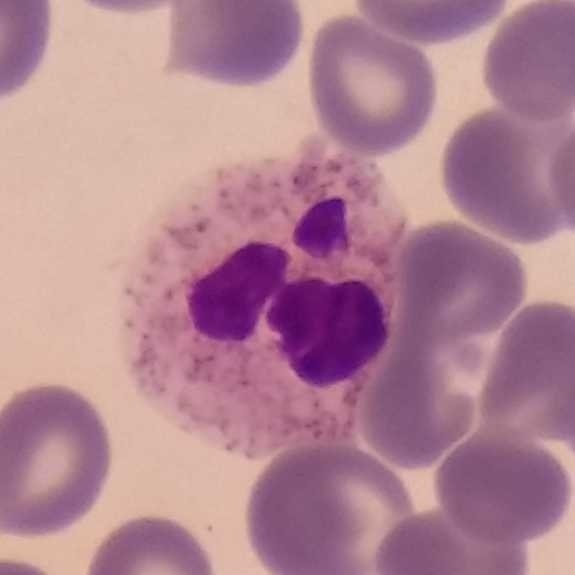

Classification: neutrophil.
Context: Peripheral blood smear.